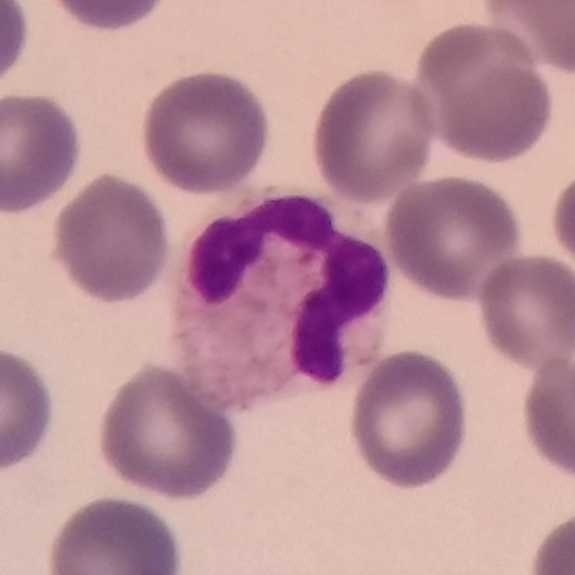

Preparation: Peripheral blood film. Impression → neutrophil granulocyte.